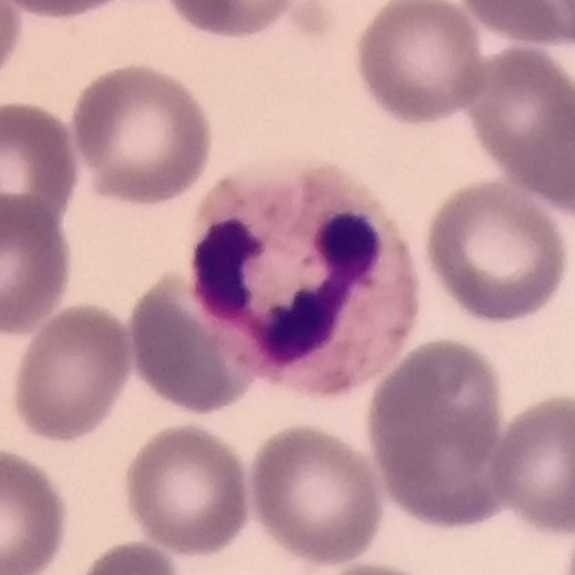Cell type = neutrophil.
Preparation: Peripheral blood smear; stained with Giemsa.